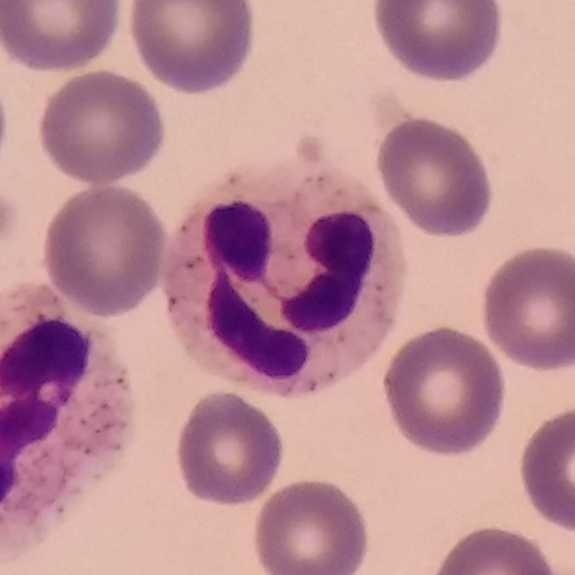Context: 100× magnification. Peripheral blood smear. Photographed through a light microscope with a smartphone camera.
Q: What cell is this?
A: Neutrophil granulocyte.